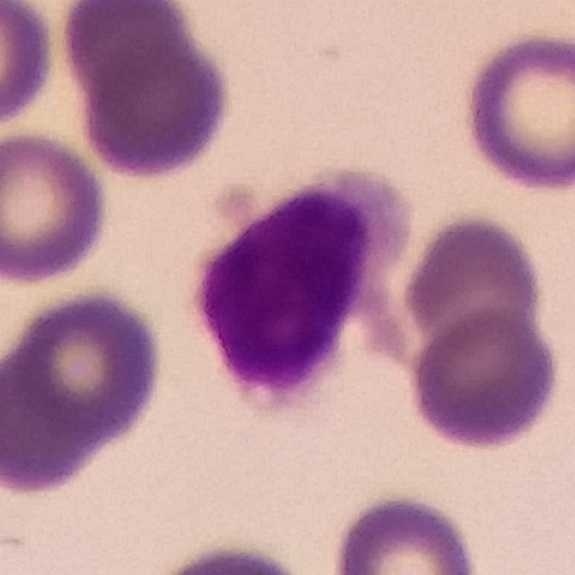Preparation: Peripheral blood film. Classification: lymphocyte.